Single white blood cell cropped from the smear photograph; peripheral blood film
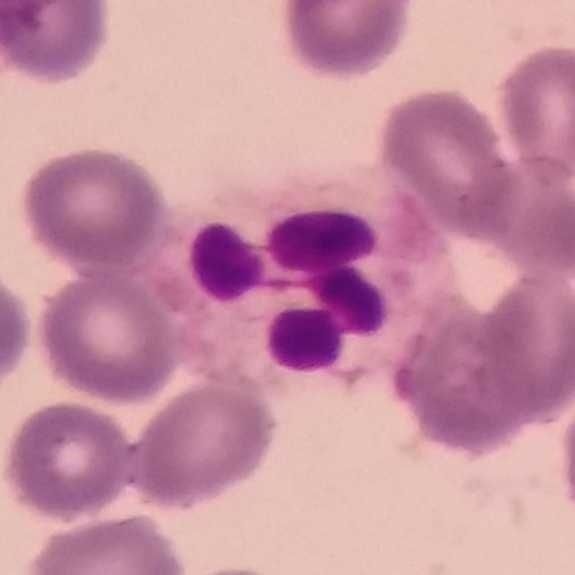
Q: What cell is this?
A: It is a neutrophil.